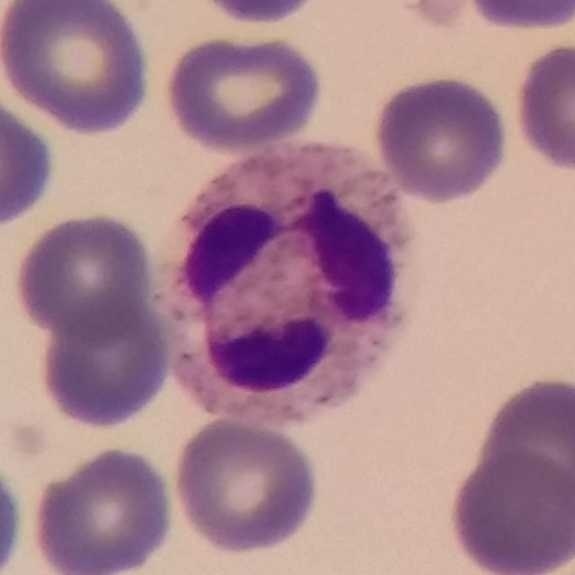

Context: Stained with Giemsa; peripheral blood film.
Morphology → neutrophil.